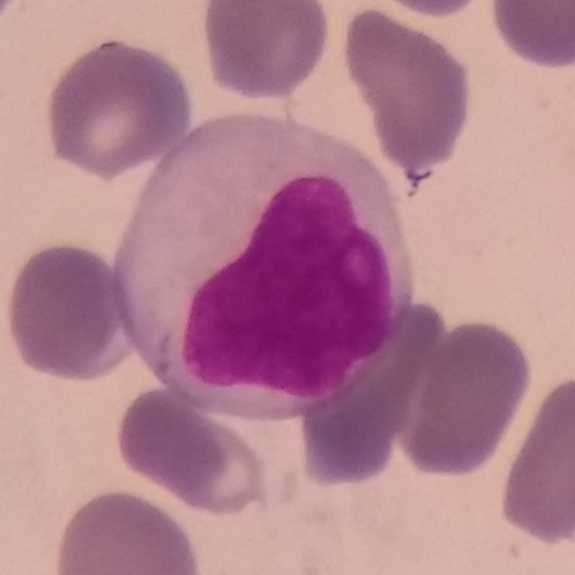 Image: Peripheral blood film. Morphology consistent with a monocyte.